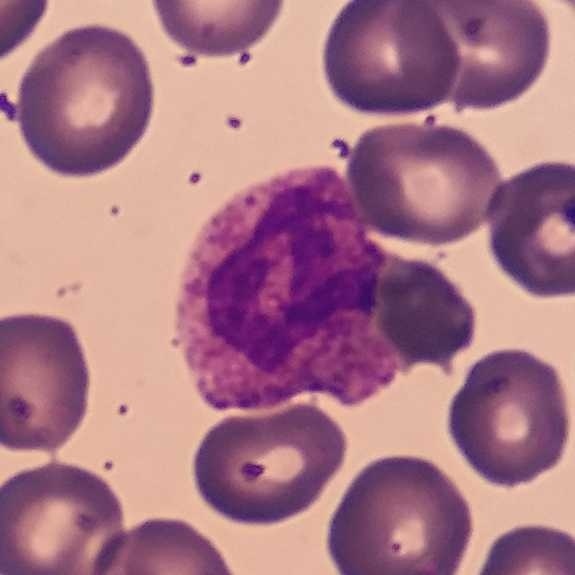

Image: Peripheral blood film. Single white blood cell cropped from the smear photograph.
A neutrophilic granulocyte.